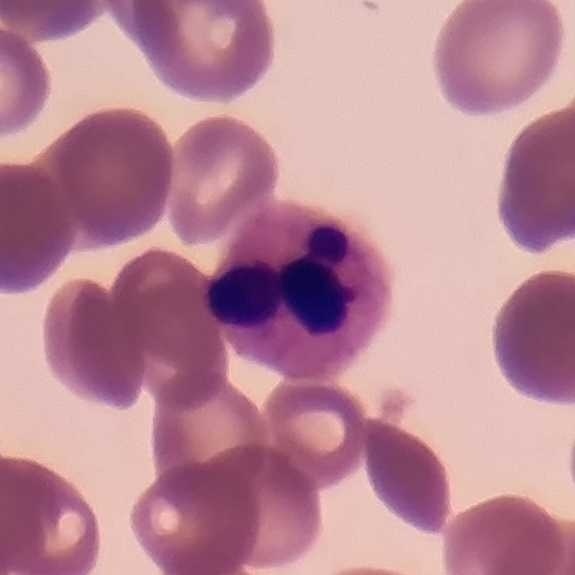 Specimen: peripheral blood film.
White blood cell type: neutrophil.
Lineage: myeloid.